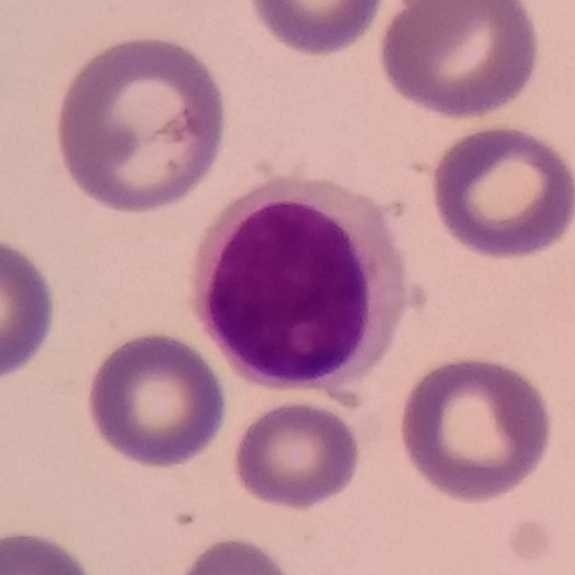 A lymphocyte.
Acquisition: Peripheral blood film.